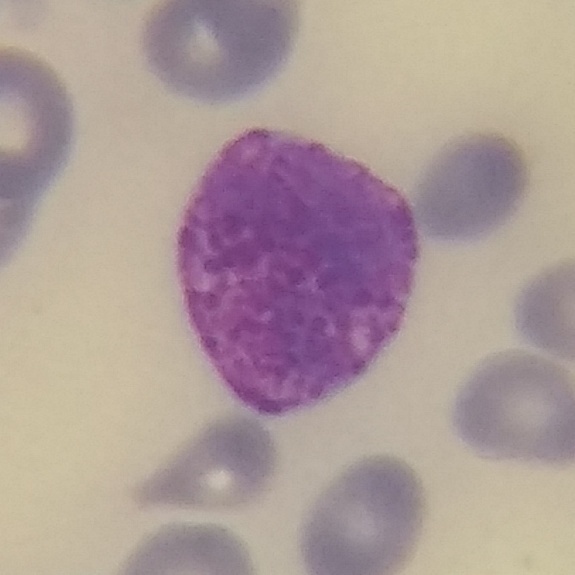Single-cell crop from a peripheral blood smear: basophilic granulocyte.